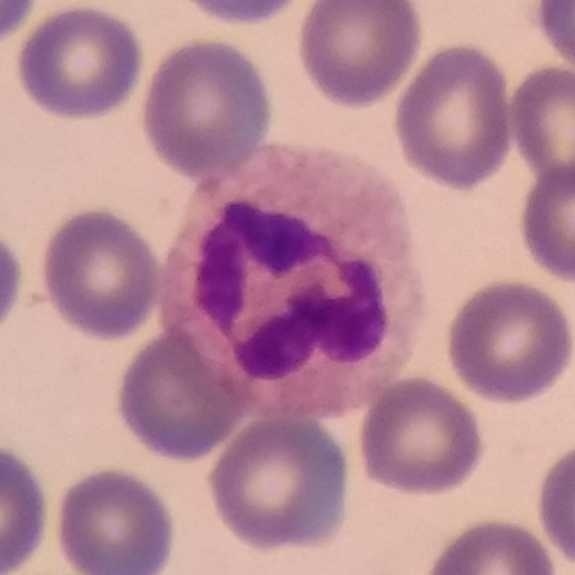 Smartphone photomicrograph; peripheral blood film.
Single cell identified as a neutrophilic granulocyte.